Stained with Giemsa · peripheral blood film · phone-camera image taken through the microscope ocular
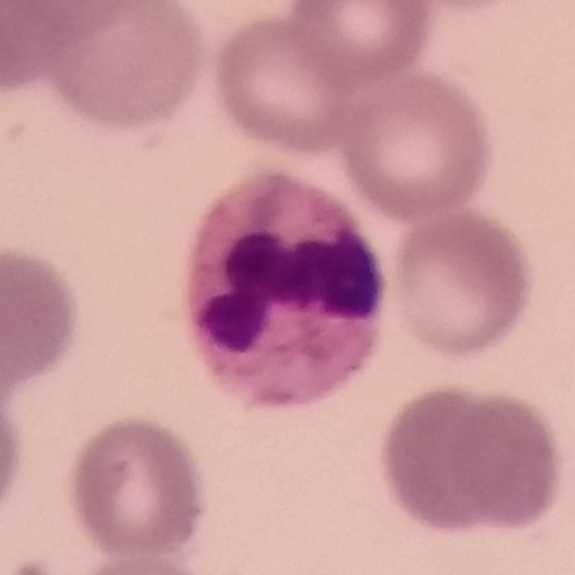 Morphology — neutrophil granulocyte.